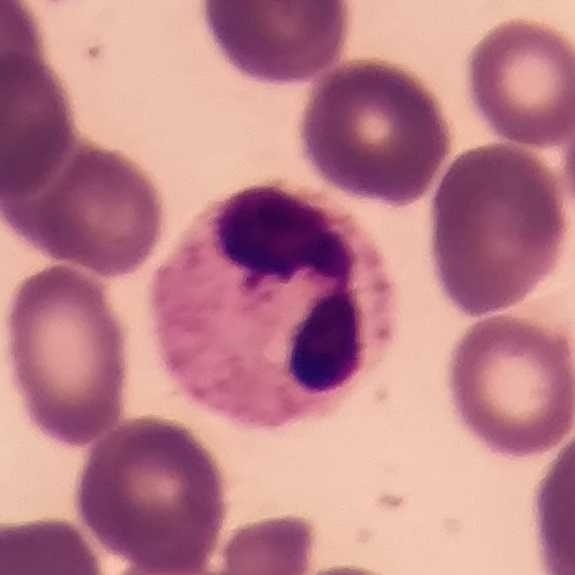Specimen: peripheral blood smear.
White blood cell type: neutrophilic granulocyte.
Lineage: myeloid. Smartphone photomicrograph; 575 by 575 pixels.